Peripheral blood smear — 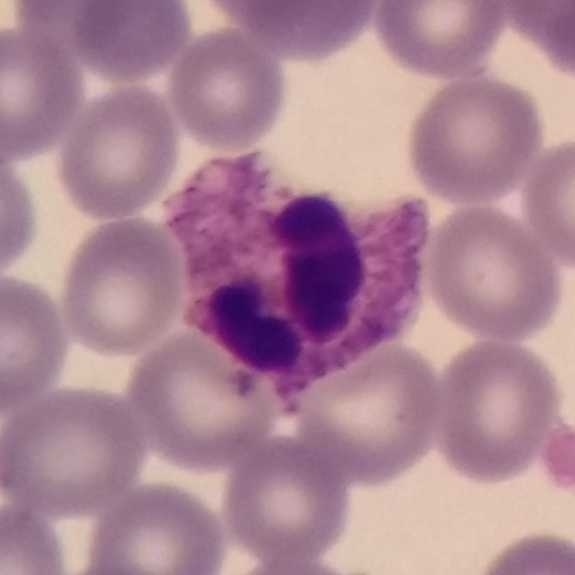
The cell type is neutrophilic granulocyte.